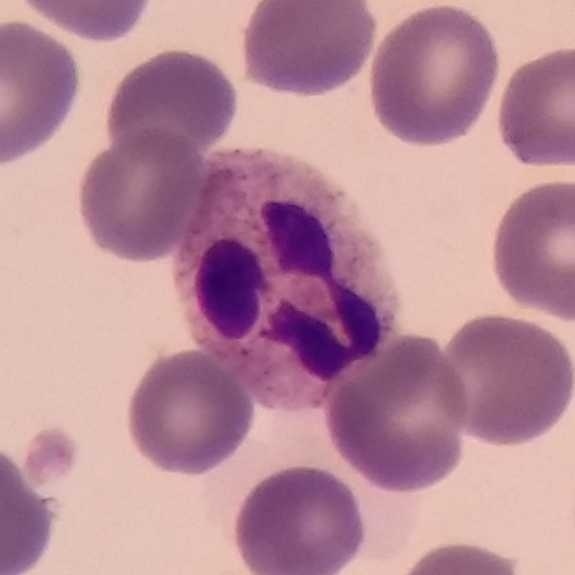

100× magnification; peripheral blood film.

Q: Which type of white blood cell is this?
A: This is a neutrophil granulocyte.